Peripheral blood smear: 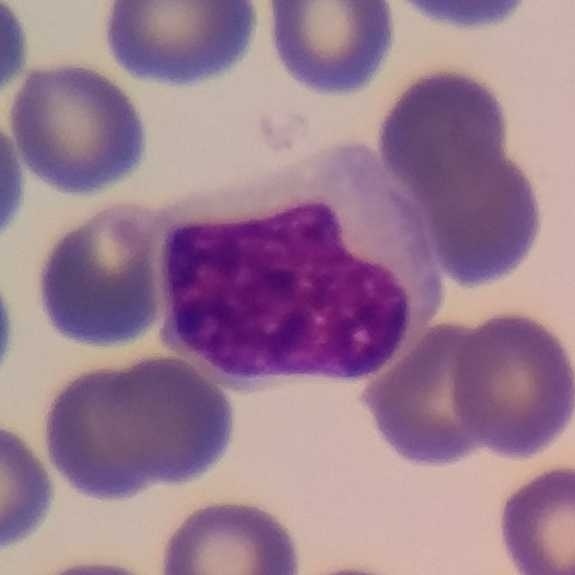

Cell type — lymphocyte.